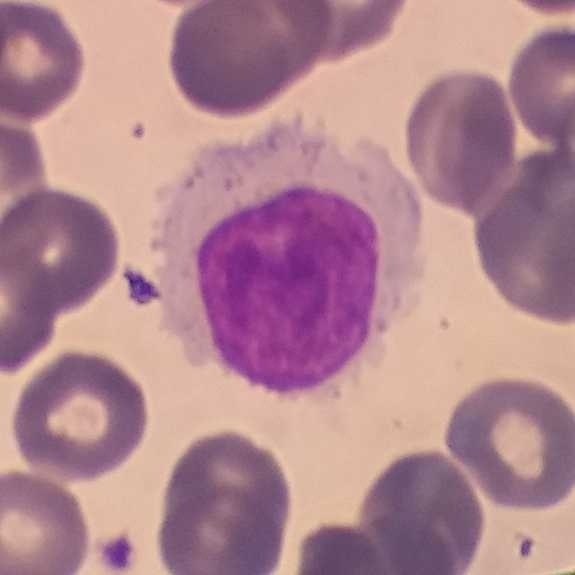

Cell — monocyte.

Image: Peripheral blood smear. Single-cell crop. 575×575.